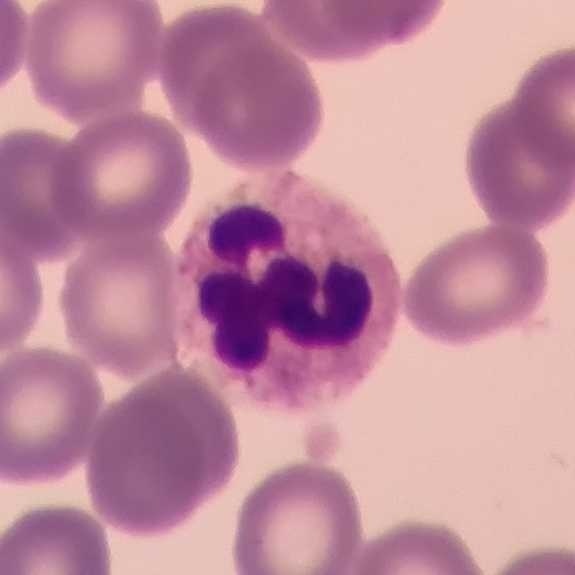
Q: What is shown here?
A: A neutrophilic granulocyte. Image: Peripheral blood smear; phone-camera image taken through the microscope ocular.